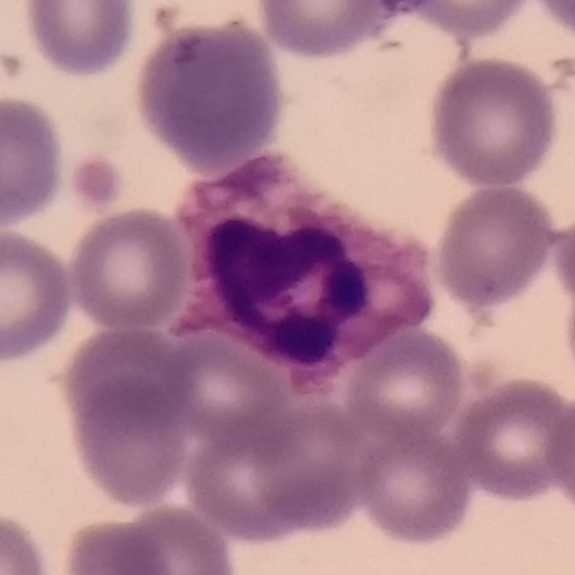

The white blood cell in this image is a neutrophil.